Peripheral blood smear.
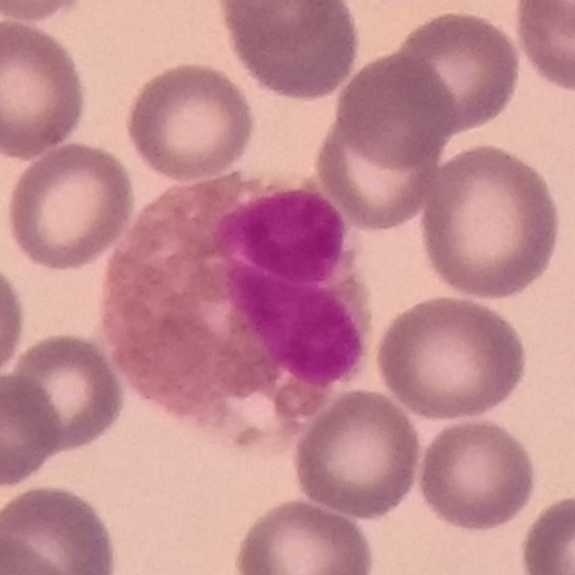

{"cell_type": "eosinophilic granulocyte"}